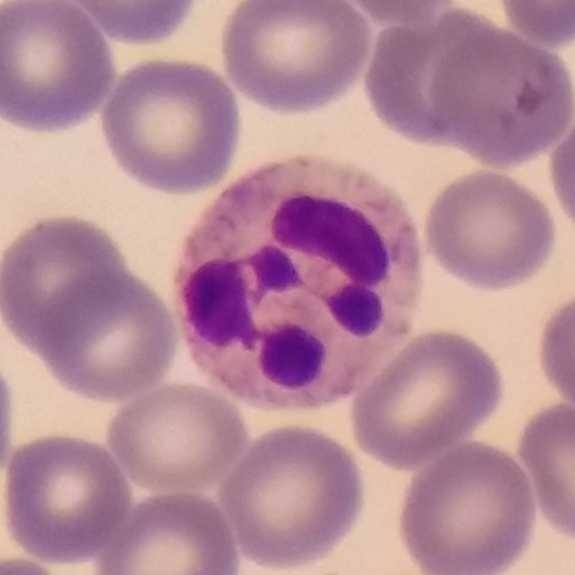White blood cell type — neutrophil.

Acquisition: Stained with Giemsa. Imaged at 100×. Peripheral blood film.